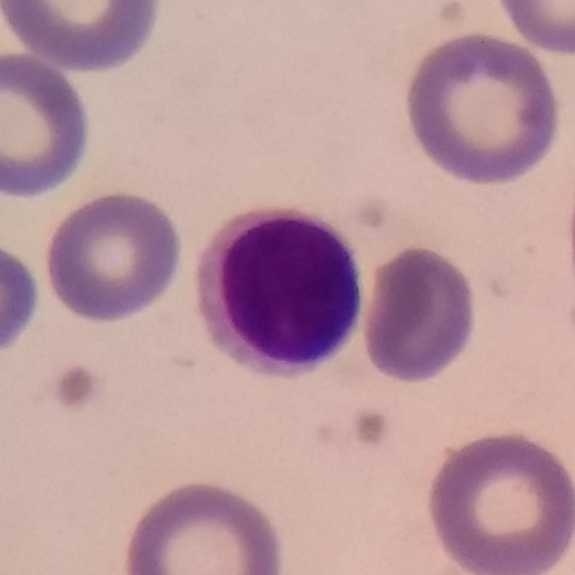

Preparation: Single white blood cell cropped from the smear photograph · peripheral blood smear.

Showing a lymphocyte.